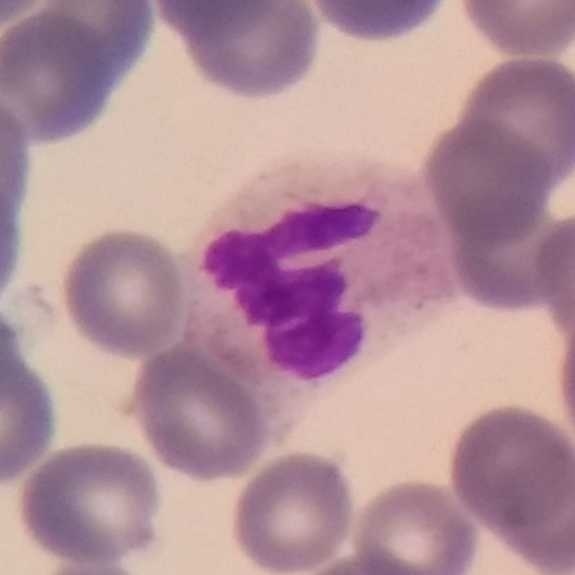
Morphology → neutrophilic granulocyte.